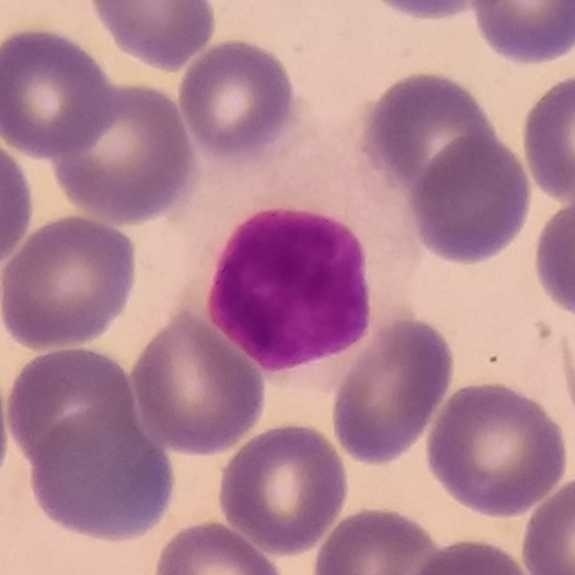

Showing a lymphocyte.

Context: Peripheral blood film; 100× magnification.